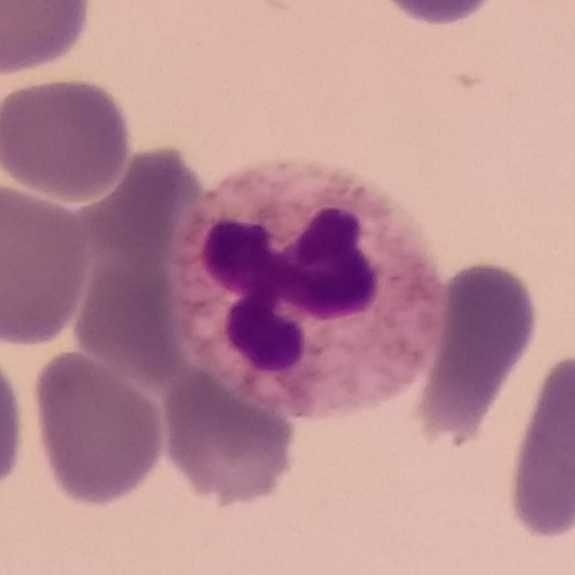

Showing a neutrophilic granulocyte.
Single-cell crop. 575×575 px. Peripheral blood film.